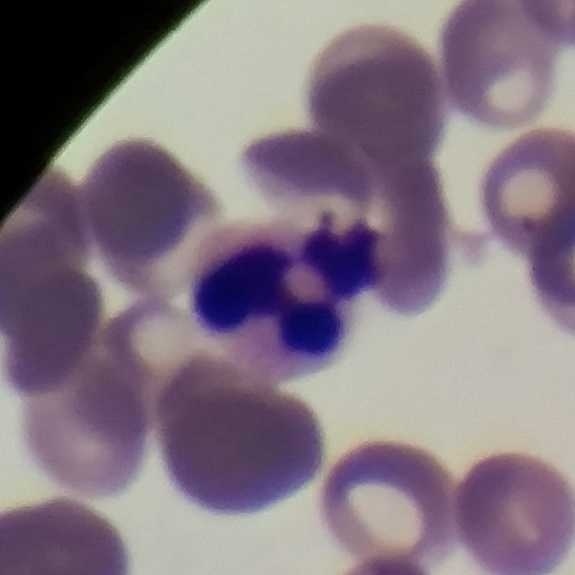Preparation: Peripheral blood film.
The classification is neutrophilic granulocyte.